Peripheral blood film
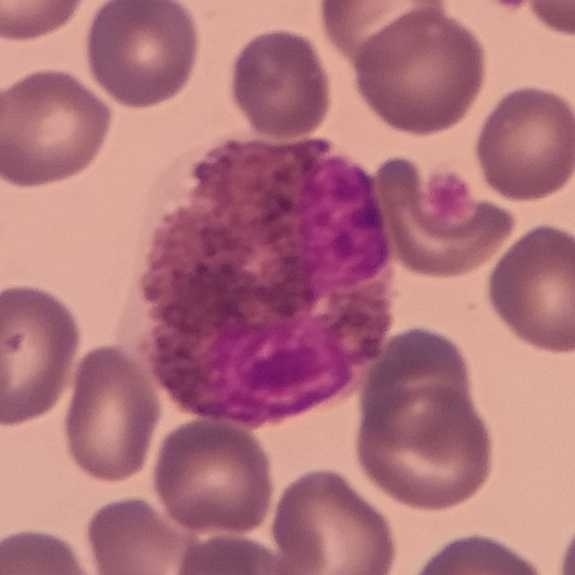 The white blood cell in this image is an eosinophilic granulocyte.